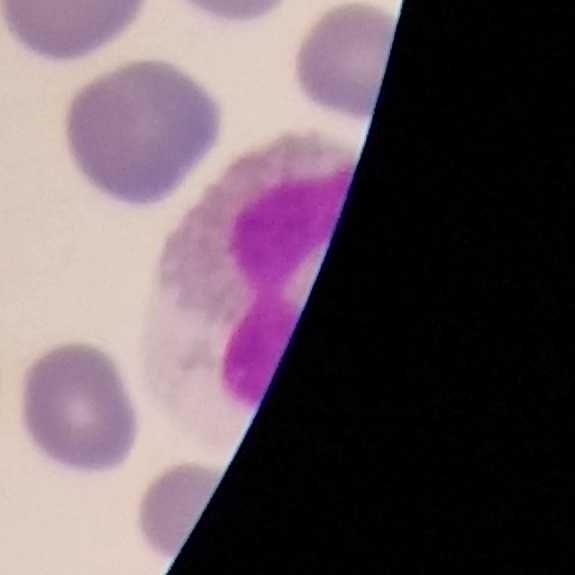

Q: Which cell type is shown here?
A: An eosinophil.